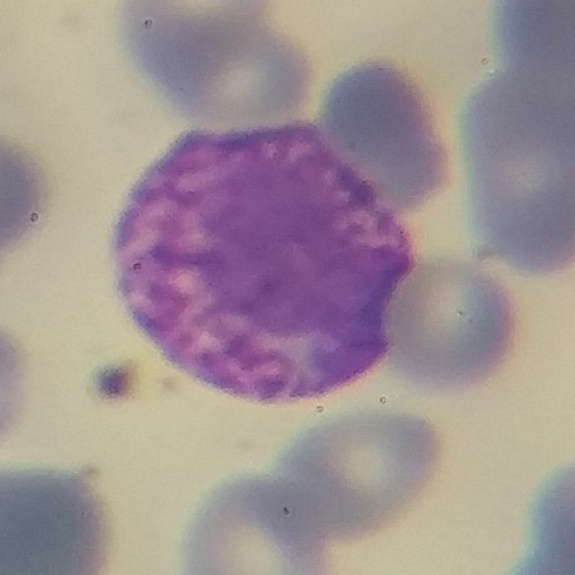Cell type — basophilic granulocyte. Peripheral blood film · 100× magnification.